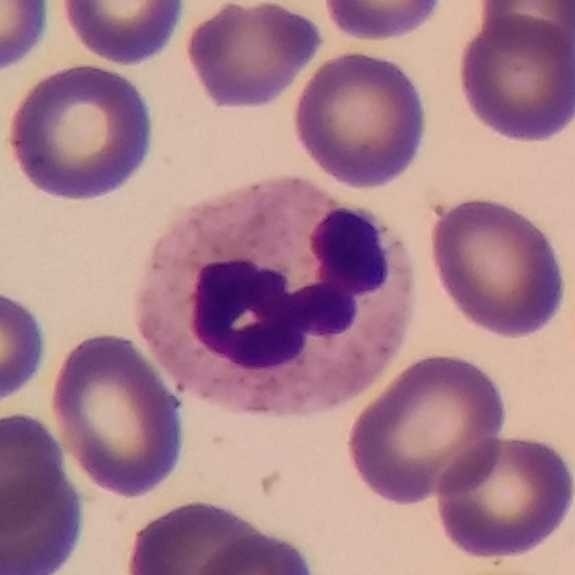Preparation: Peripheral blood smear.
The cell type is neutrophil.